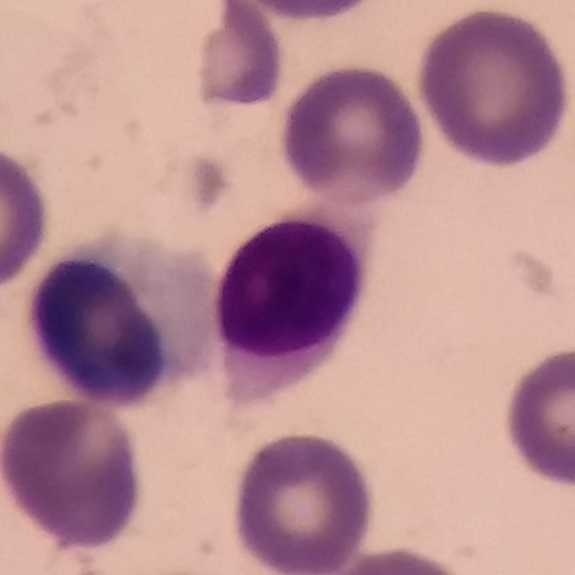

Q: What is the morphological classification of this cell?
A: This is a lymphocyte.

Photographed through a light microscope with a smartphone camera; peripheral blood smear.